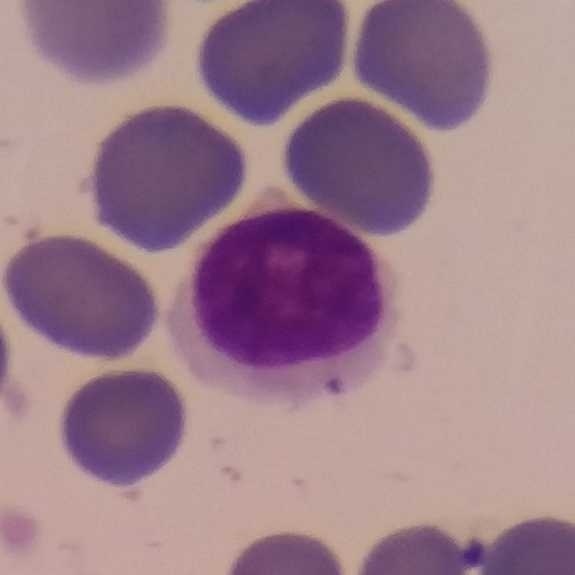
Morphological class — lymphocyte.